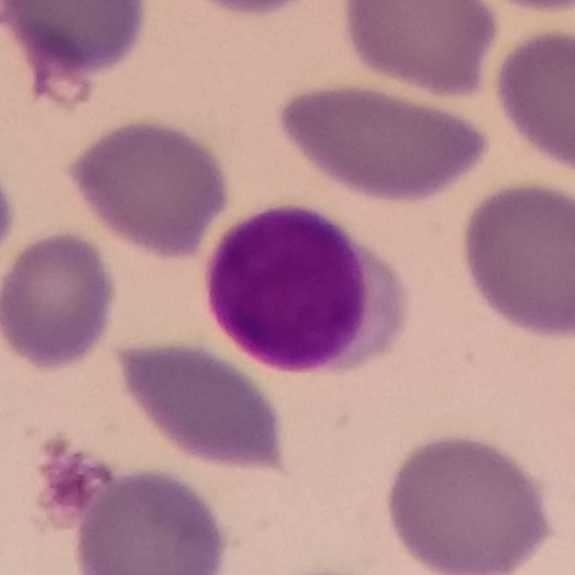
Cell type = lymphocyte.